Peripheral blood film; stained with Giemsa:
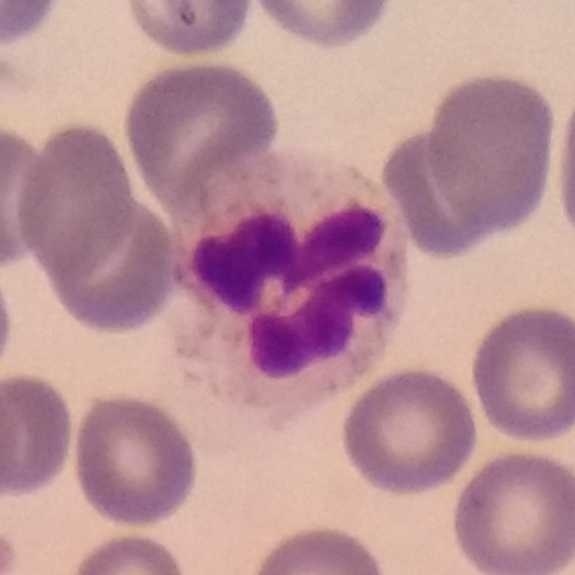

Q: Which cell type is shown here?
A: Neutrophil.